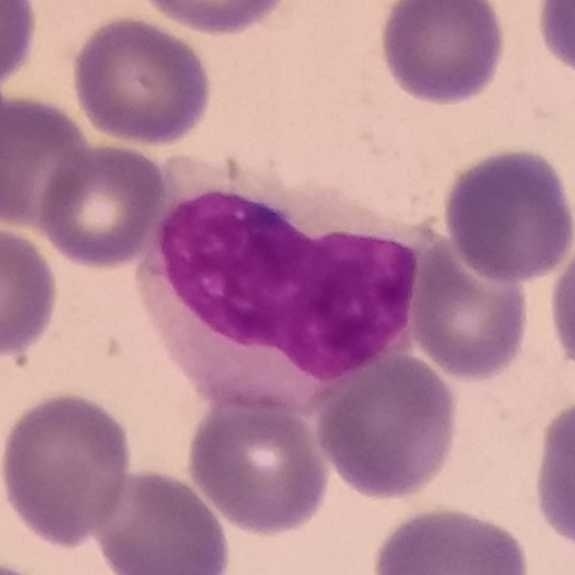 Cell type: monocyte.